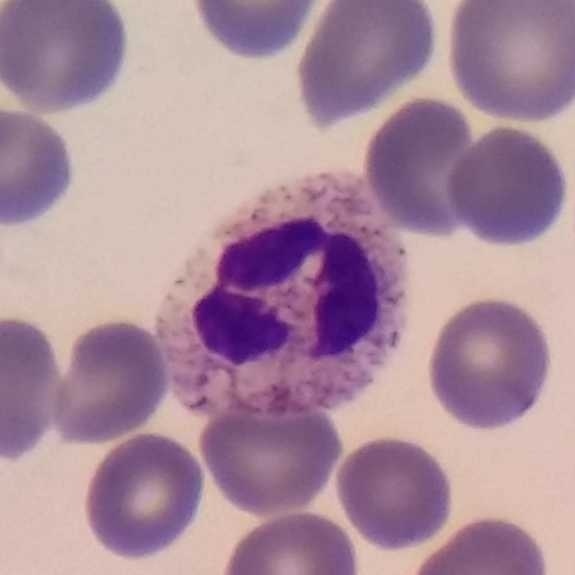

Morphology → neutrophilic granulocyte.
Context: Peripheral blood smear. Cropped to one leukocyte.